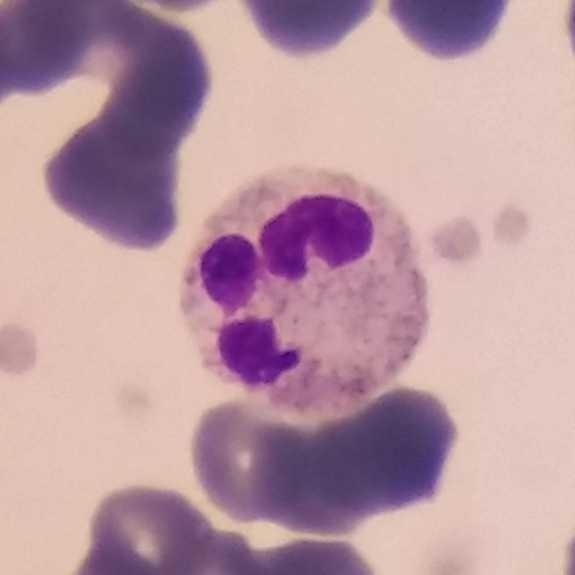Single cell identified as a neutrophil granulocyte.
Peripheral blood smear · imaged at 100×.